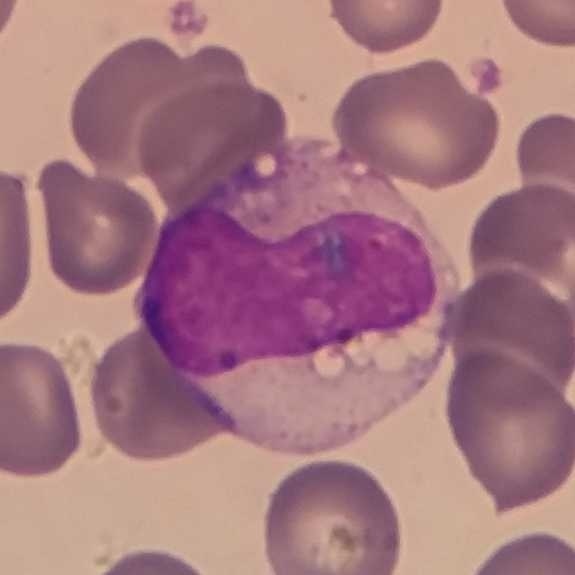Specimen: peripheral blood film.
Cell type: monocyte.
Lineage: myeloid.